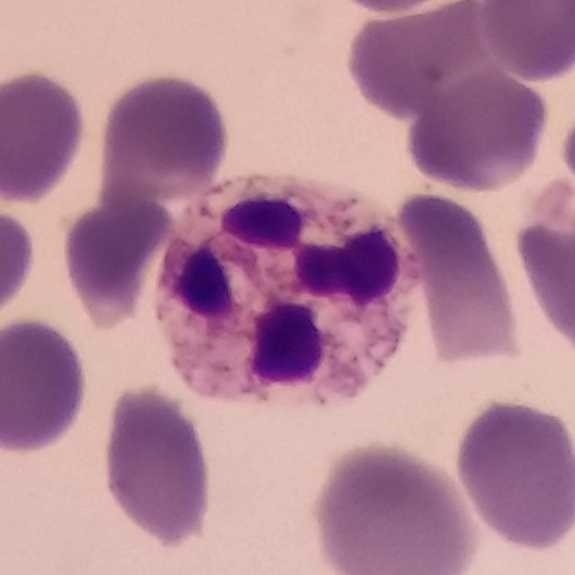

White blood cell type = neutrophil granulocyte.